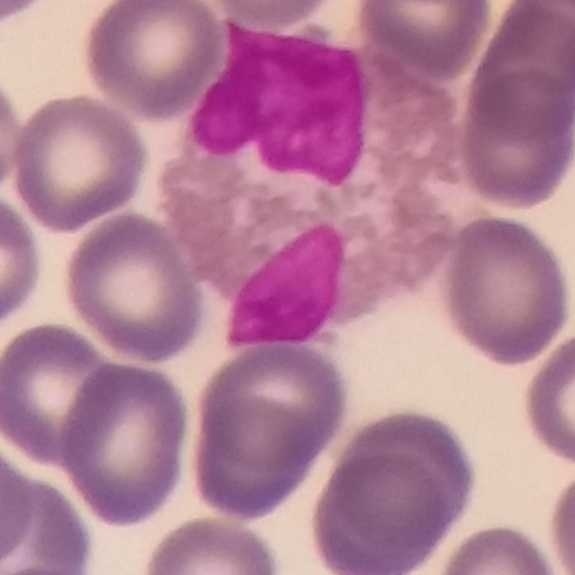

Morphology consistent with an eosinophil.